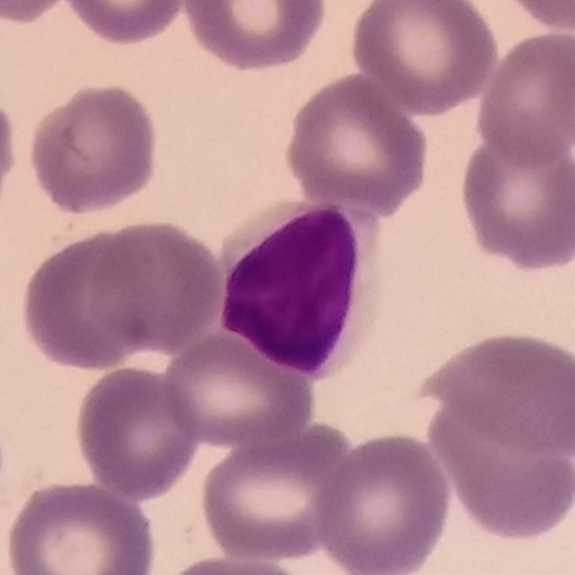

Q: Identify the cell.
A: This is a lymphocyte.